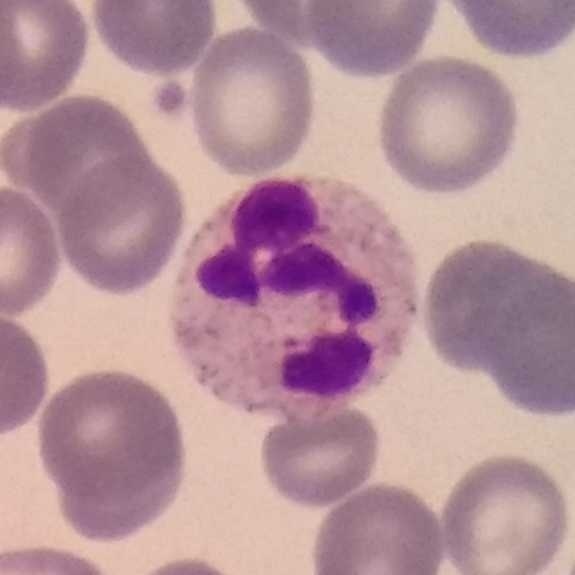The white blood cell type is neutrophil granulocyte.